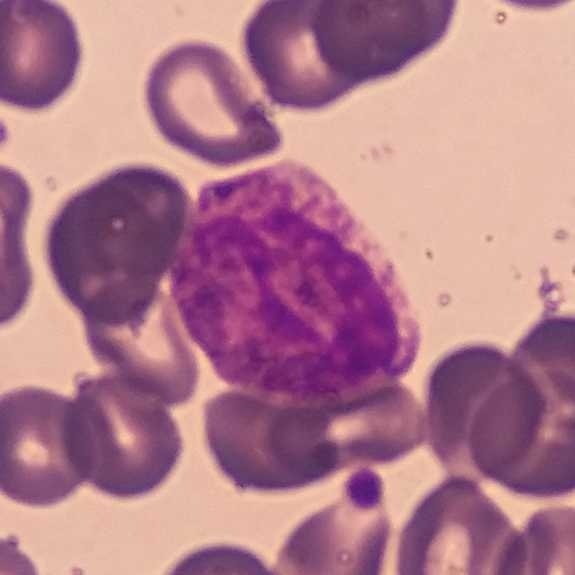

Preparation: Stained with Giemsa; photographed through a light microscope with a smartphone camera; peripheral blood smear. Morphology → neutrophilic granulocyte.